Peripheral blood smear; smartphone photomicrograph; imaged at 100×:
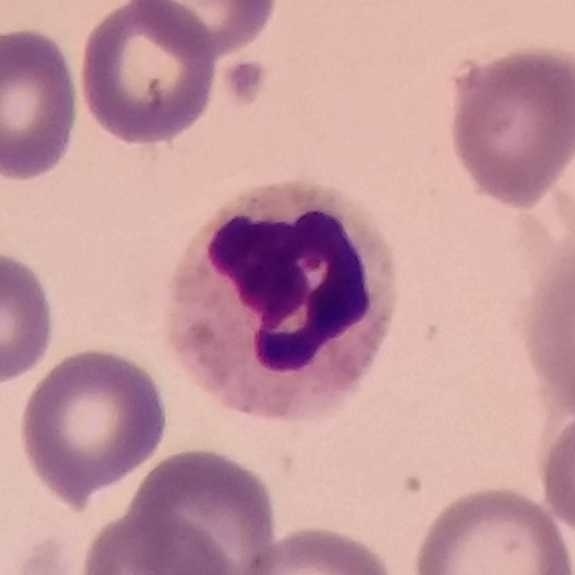Specimen: peripheral blood film.
White blood cell type: neutrophilic granulocyte.
Lineage: myeloid.